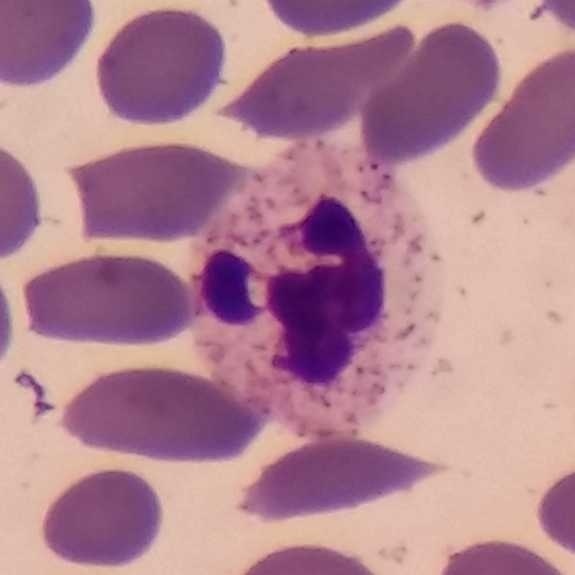

Q: Identify the cell.
A: It is a neutrophil granulocyte.